Peripheral blood film; 575×575
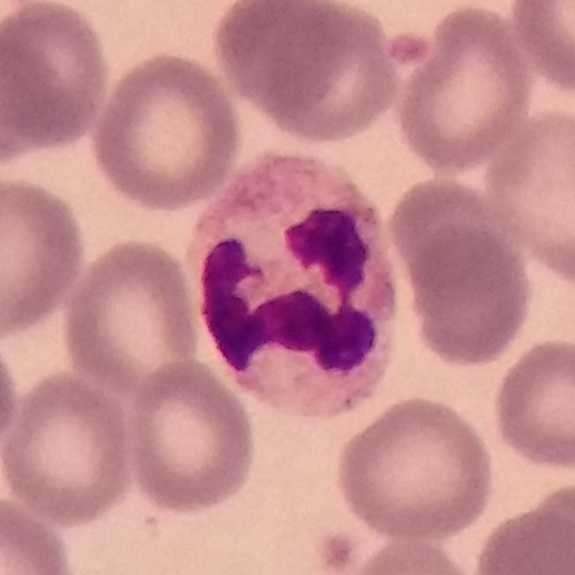Specimen: peripheral blood film.
White blood cell type: neutrophil granulocyte.
Lineage: myeloid.